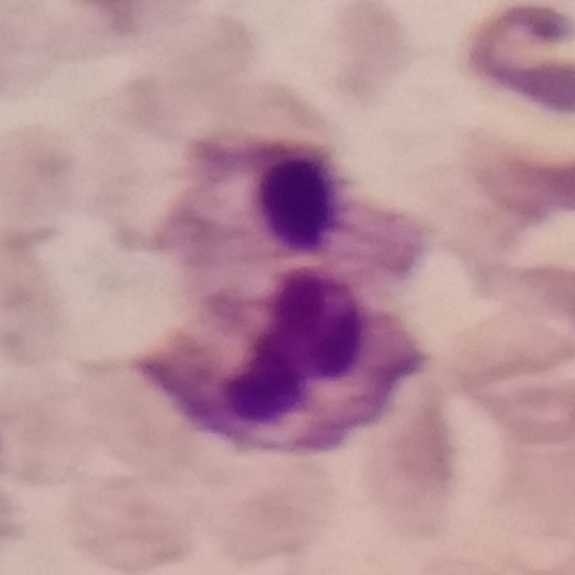

Classification — neutrophil granulocyte.